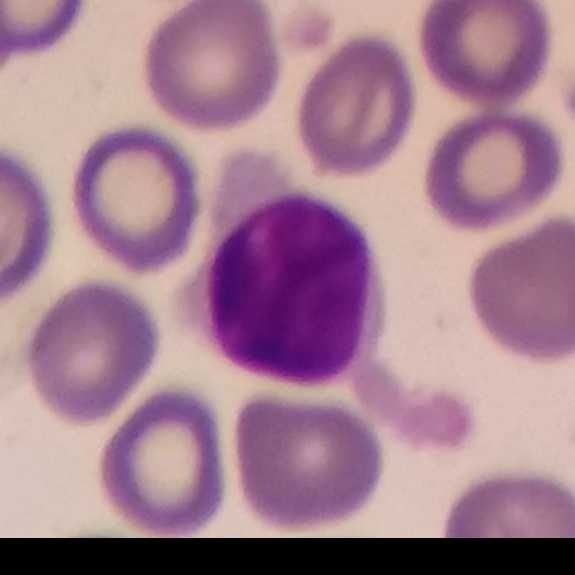
Lymphocyte.